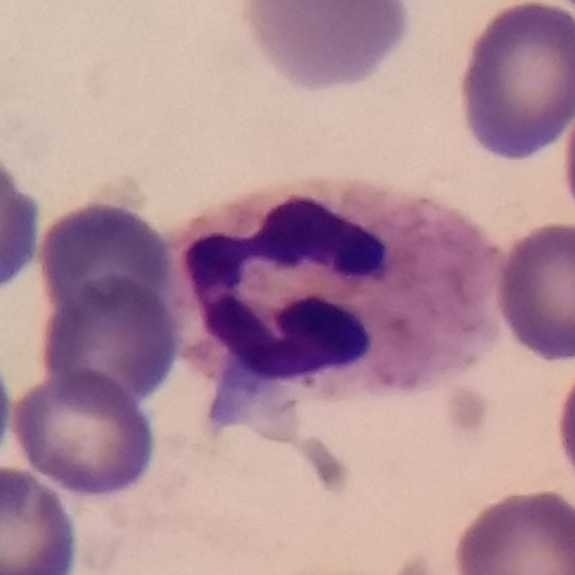Neutrophilic granulocyte.